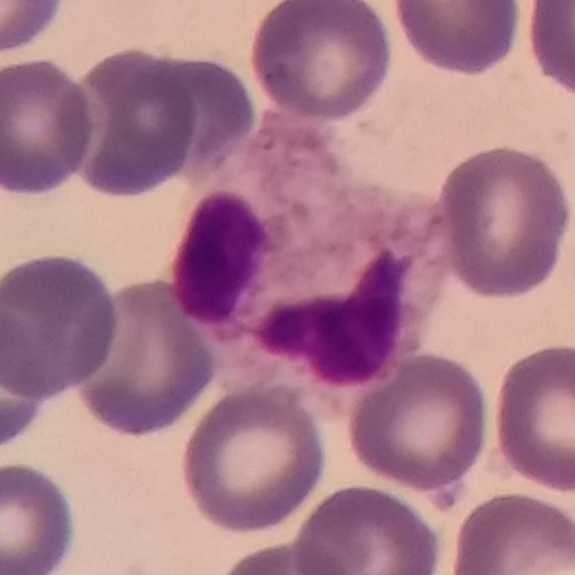 Peripheral blood film, single cell — neutrophil.